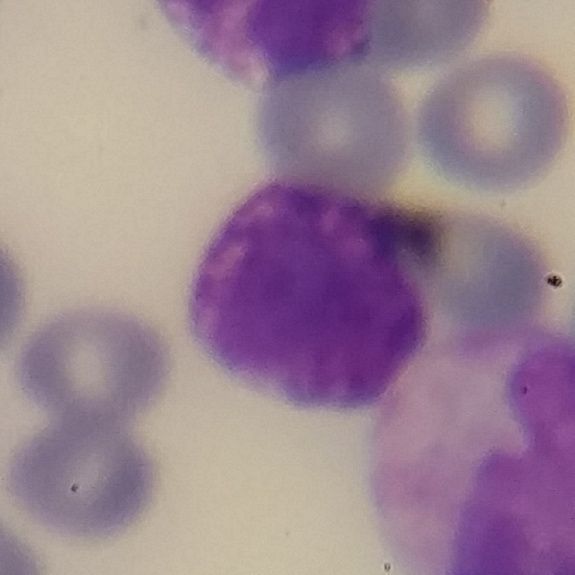Preparation: Single-cell crop; peripheral blood smear.
White blood cell type: basophil.